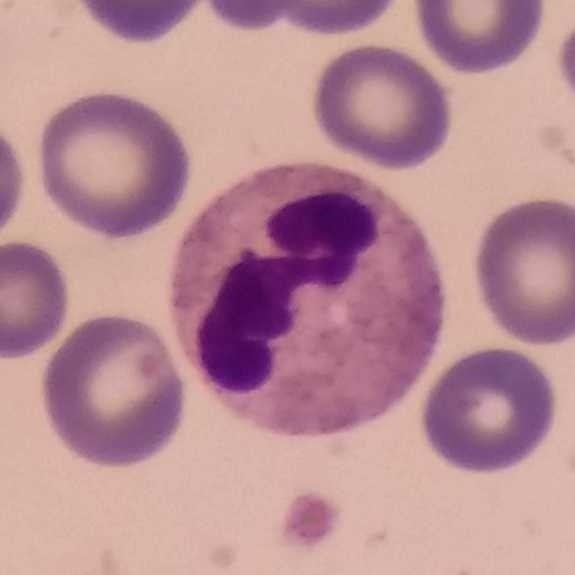Peripheral blood film.
Single cell identified as a neutrophil.